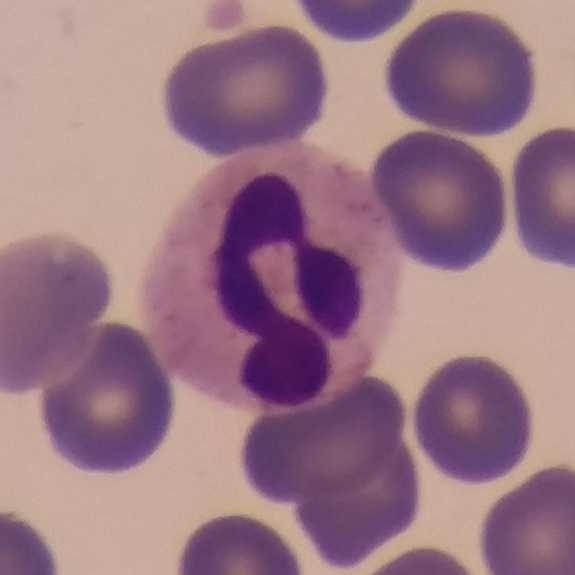Image: Peripheral blood film.
Impression → neutrophilic granulocyte.